Peripheral blood film; cropped to one leukocyte
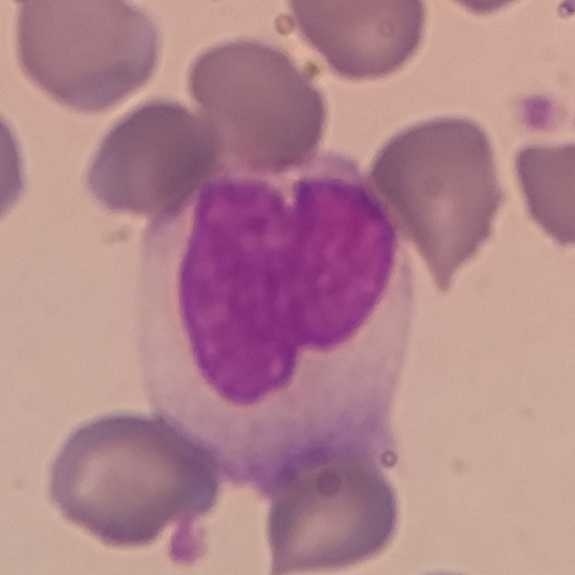 Cell = lymphocyte.